Peripheral blood film — 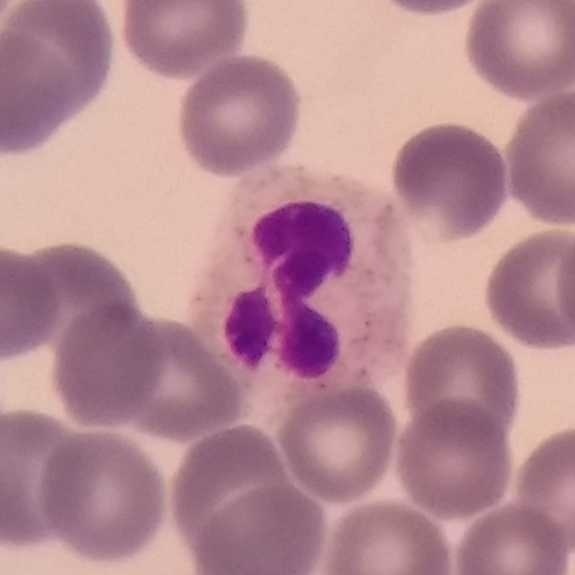 The cell type is neutrophil.